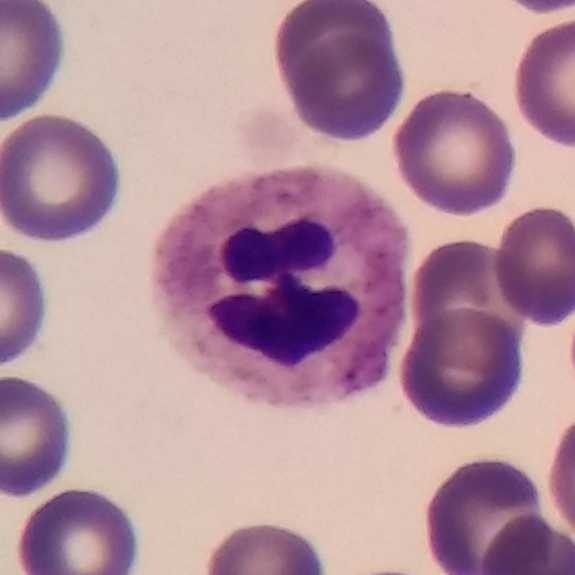 Classification — neutrophil granulocyte.
Context: 100× magnification. Peripheral blood film.